Peripheral blood smear:
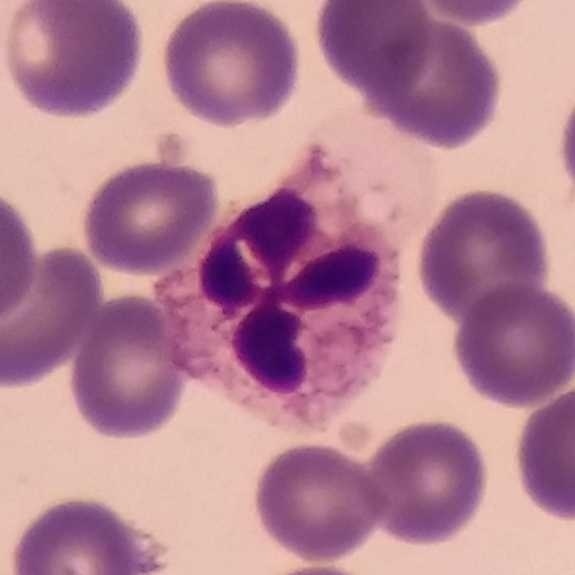

A neutrophil granulocyte.